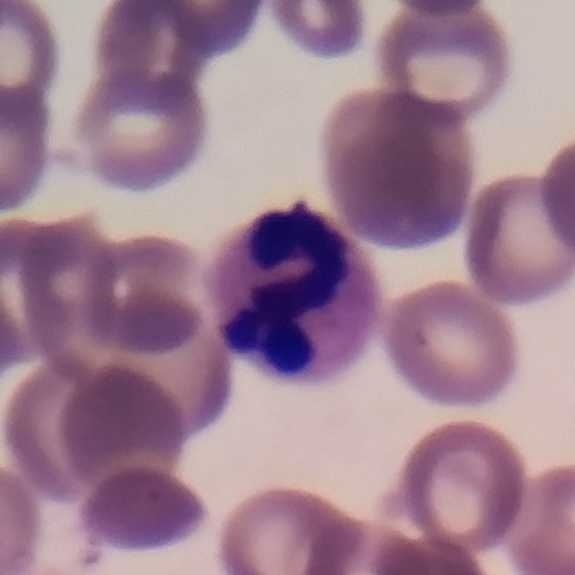
Specimen: peripheral blood film.
Cell: neutrophil granulocyte.
Lineage: myeloid. Preparation: Single-cell field.